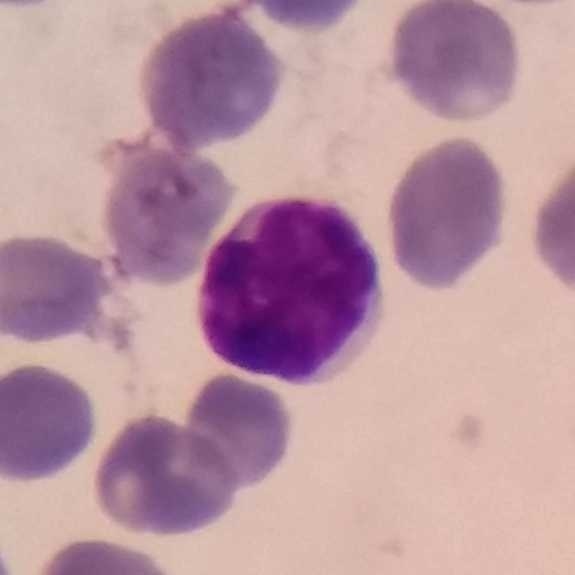A lymphocyte. Acquisition: Single-cell crop · peripheral blood film.